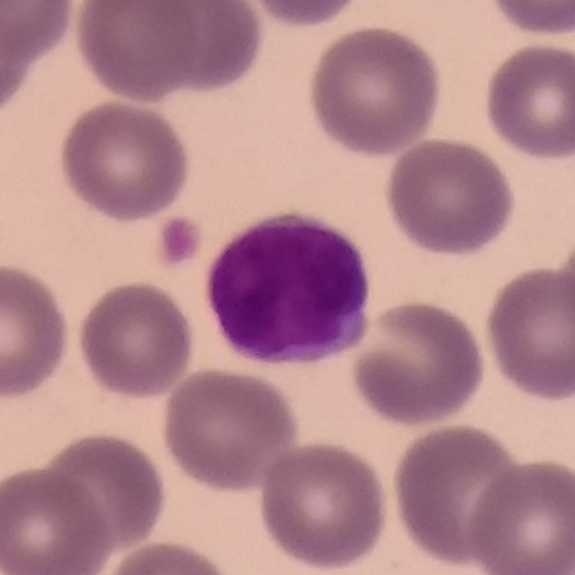 Specimen: peripheral blood film.
Classification: lymphocyte. Acquisition: Smartphone camera mounted on the microscope eyepiece · magnification 100×.